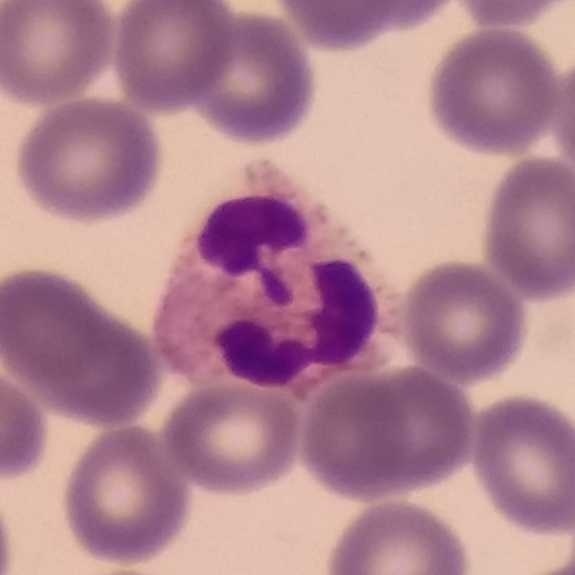

Cell — neutrophil granulocyte.

Context: Peripheral blood film.